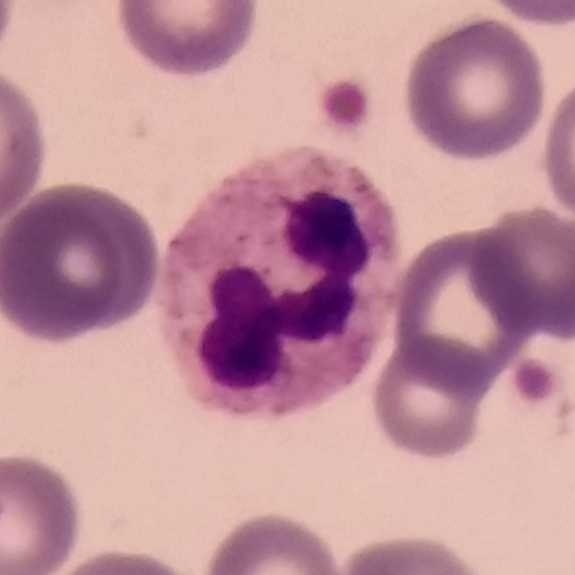

The white blood cell in this image is a neutrophil granulocyte.

Giemsa stain; peripheral blood smear.